Peripheral blood film · 575×575 px · photographed through a light microscope with a smartphone camera.
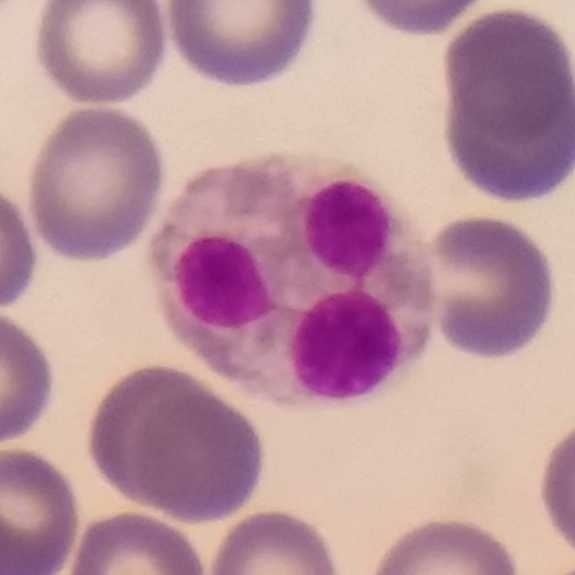

Q: Which cell type is shown here?
A: An eosinophil.